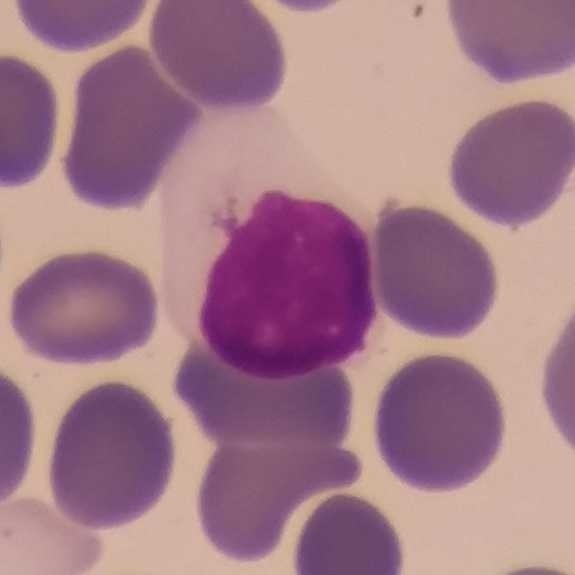
Preparation: Peripheral blood smear. Morphological class: monocyte.